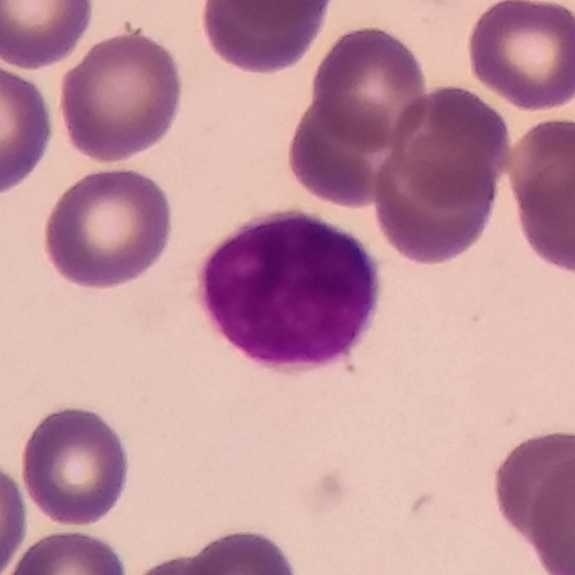 Morphological class = lymphocyte.